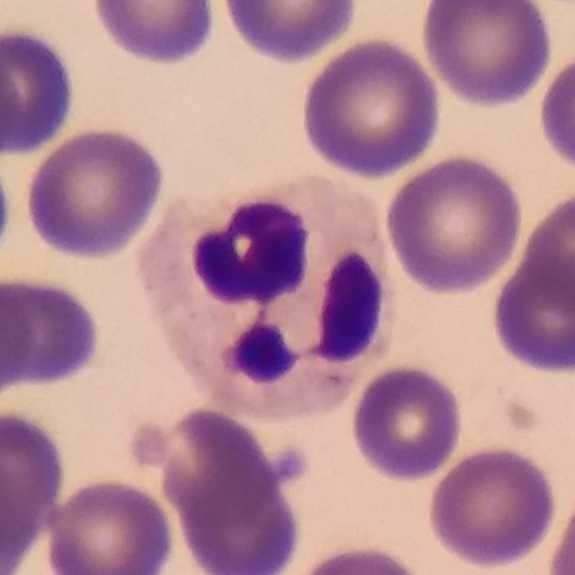 Acquisition: Stained with Giemsa. Peripheral blood smear. Morphology — neutrophil.